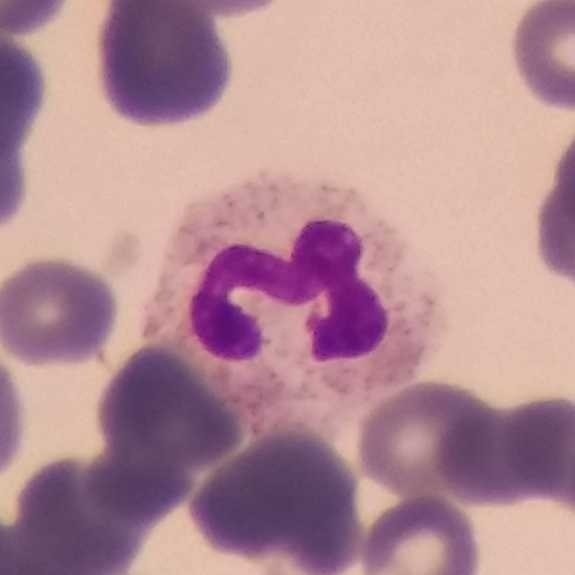

Cell — neutrophil.